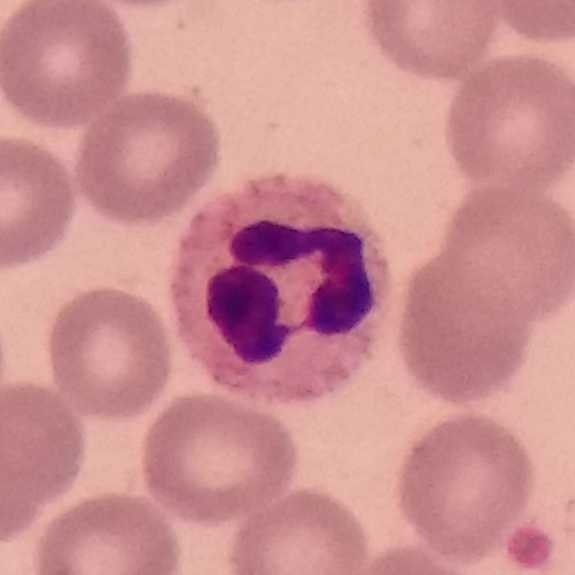Specimen: peripheral blood smear.
Morphological class: neutrophil granulocyte.